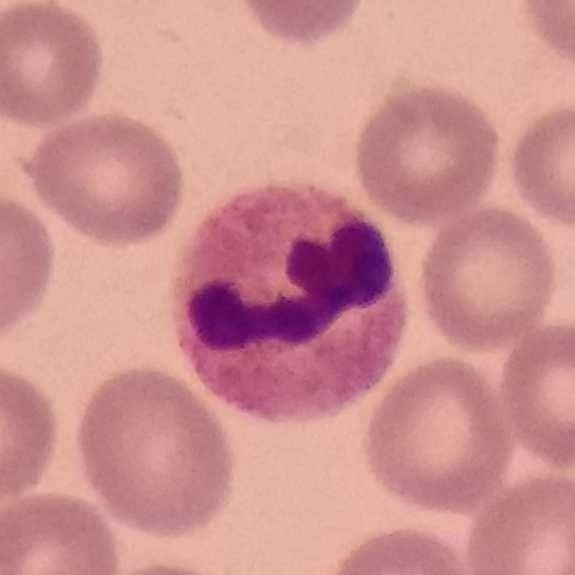Single cell identified as a neutrophil granulocyte.
Preparation: Peripheral blood film · phone-camera image taken through the microscope ocular.